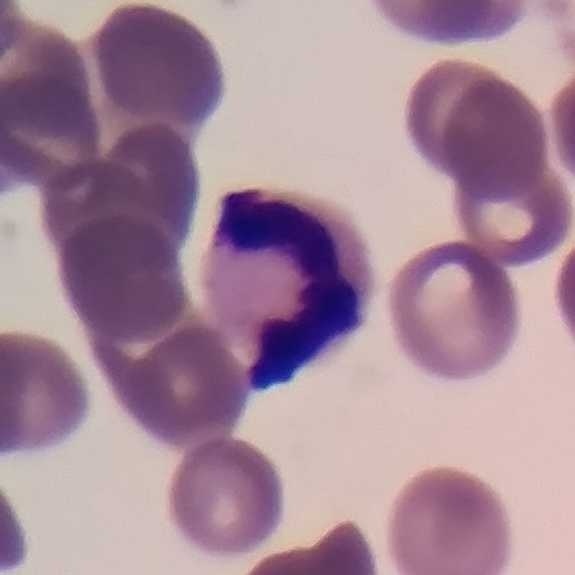
Image: Cropped to one leukocyte · smartphone photomicrograph.

Specimen: peripheral blood smear.
Morphological class: neutrophil.